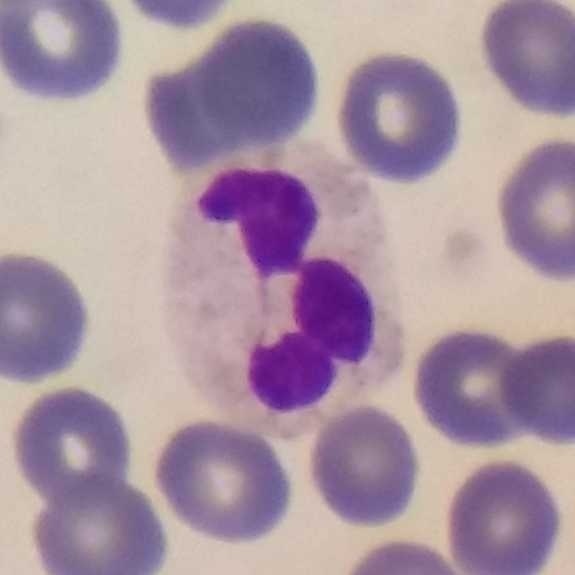

Q: What type of cell is this?
A: Neutrophil granulocyte. Image: Single-cell crop; stained with Giemsa; peripheral blood smear.